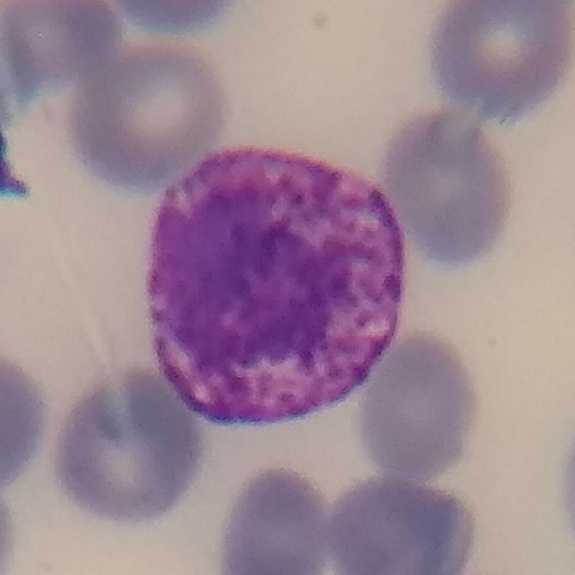 A basophil.